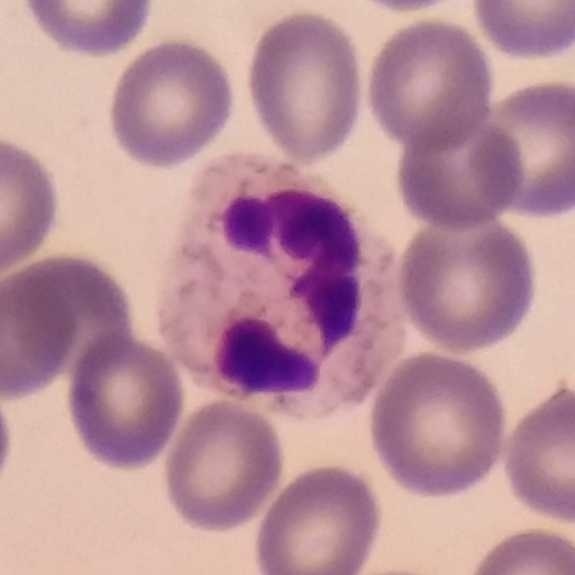Cell — neutrophil.

Context: Peripheral blood smear.